Peripheral blood smear; 100× magnification — 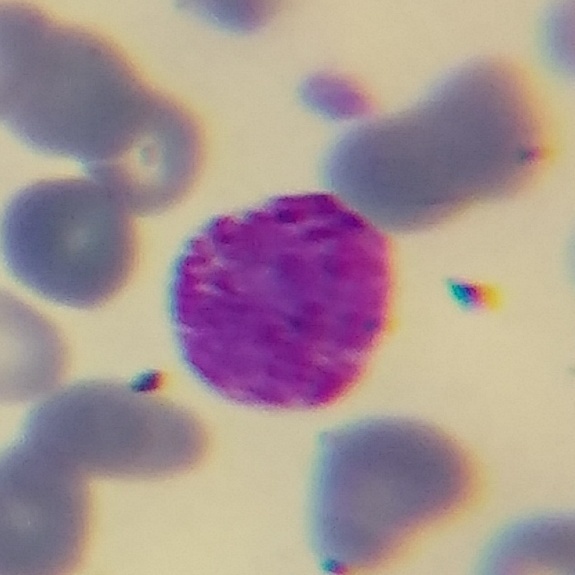
Q: Which type of white blood cell is this?
A: It is a basophil.